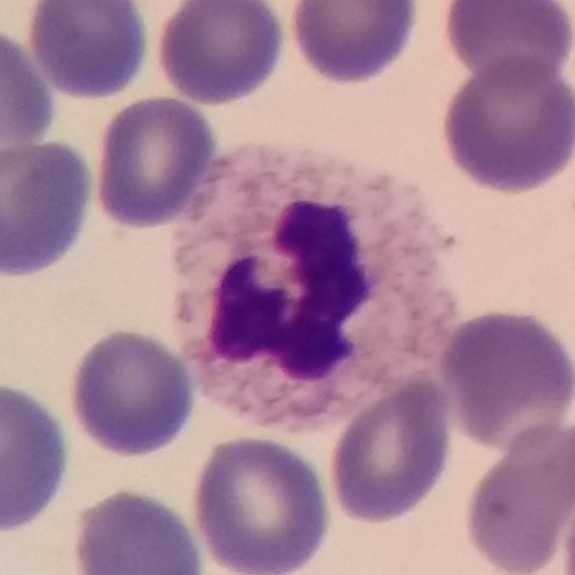

The cell is neutrophilic granulocyte. Context: Peripheral blood film.